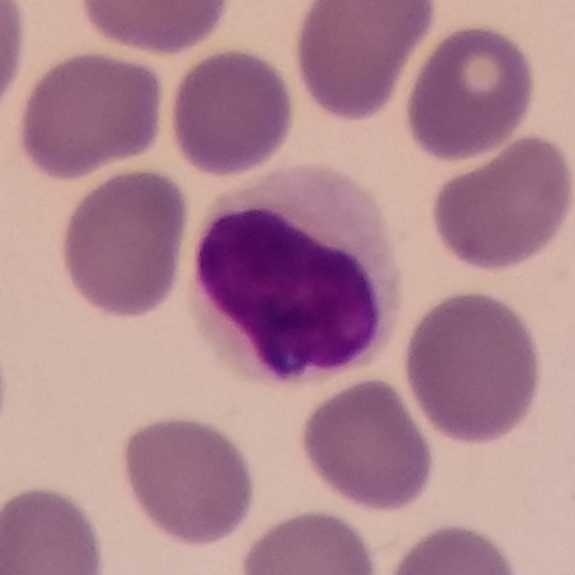

575×575 px; peripheral blood film.

The white blood cell in this image is a lymphocyte.